Peripheral blood film · 575×575.
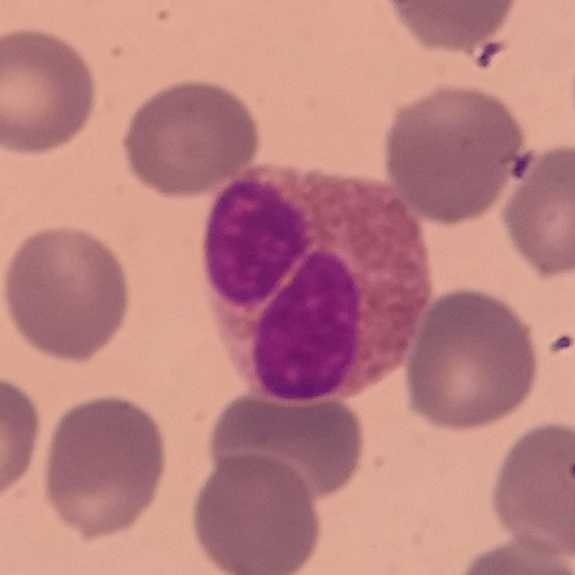Morphology consistent with an eosinophilic granulocyte.